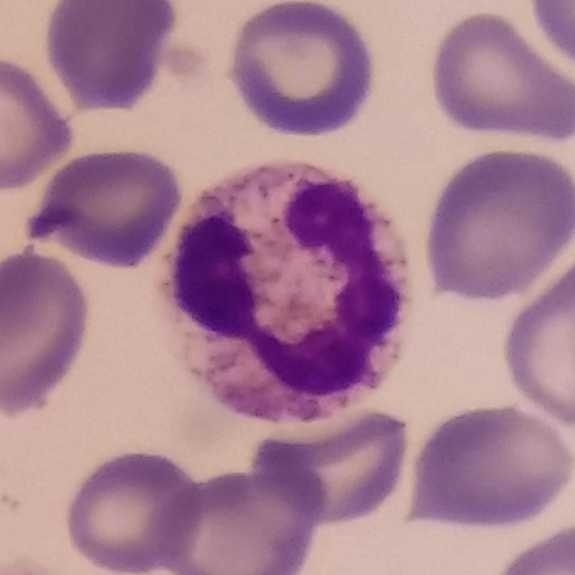Acquisition: Peripheral blood film.

Showing a neutrophilic granulocyte.